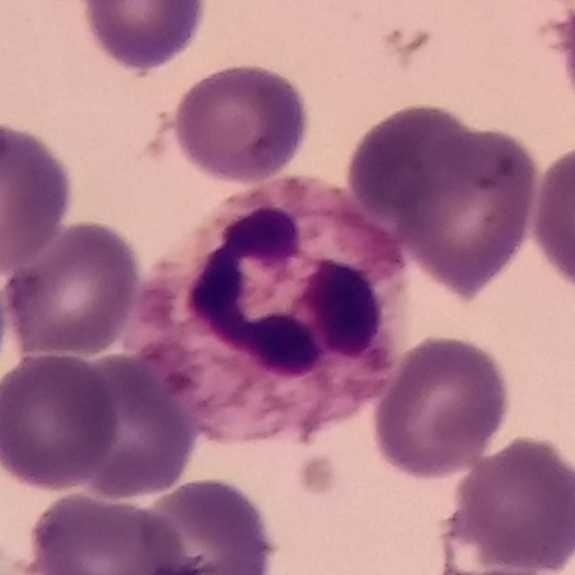

Single cell identified as a neutrophilic granulocyte.
Phone-camera image taken through the microscope ocular · peripheral blood smear.